Giemsa-stained. Peripheral blood film:
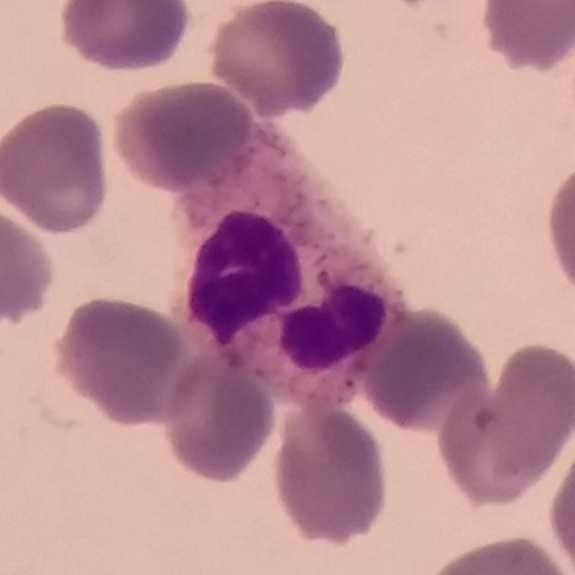
{"cell_type": "neutrophilic granulocyte", "lineage": "myeloid"}